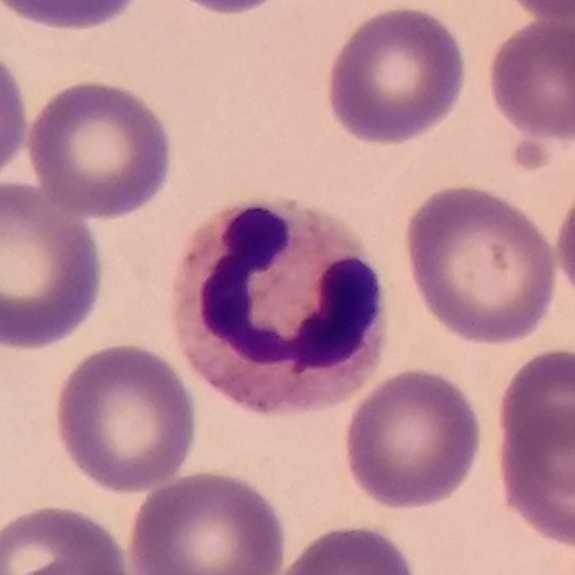
The cell shown is a neutrophil.